Peripheral blood smear — 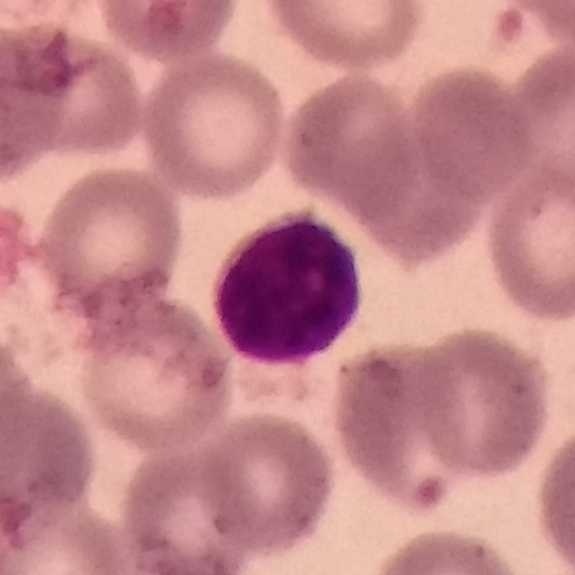The cell shown is a lymphocyte.